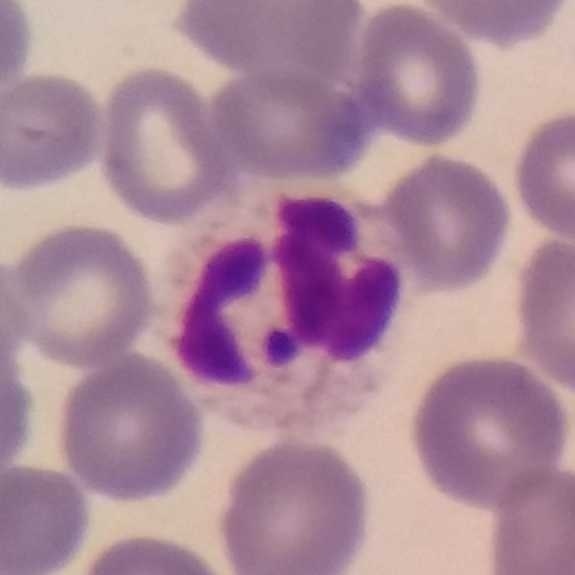

Q: Classify this leukocyte.
A: This is a neutrophil. Peripheral blood film.